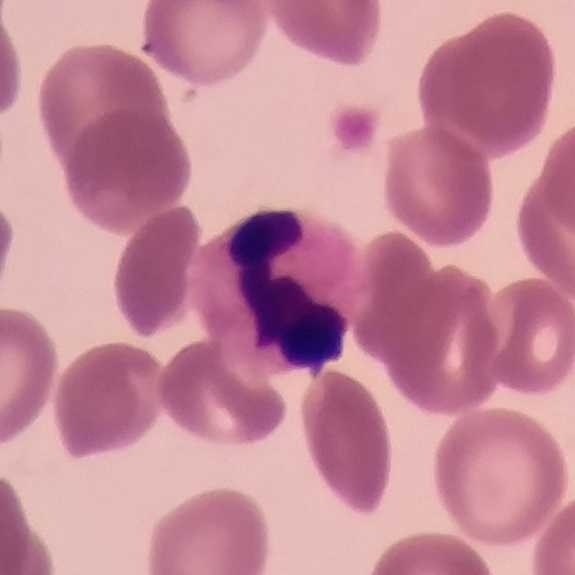Context: Peripheral blood film · 575×575 · cropped to one leukocyte.
Impression → neutrophil granulocyte.